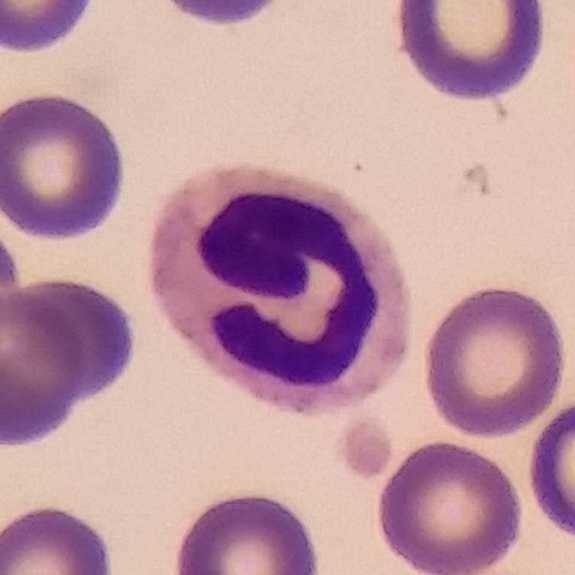

Cell = neutrophil granulocyte.
Imaged at 100×. Peripheral blood smear.